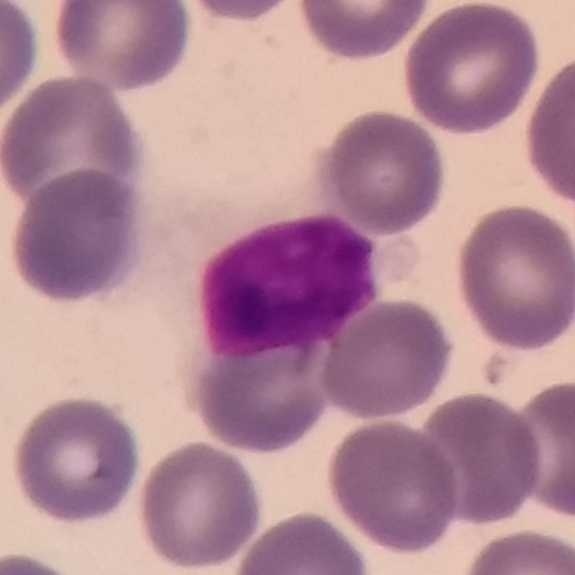Giemsa-stained. Peripheral blood smear.
Lymphocyte.